Peripheral blood film.
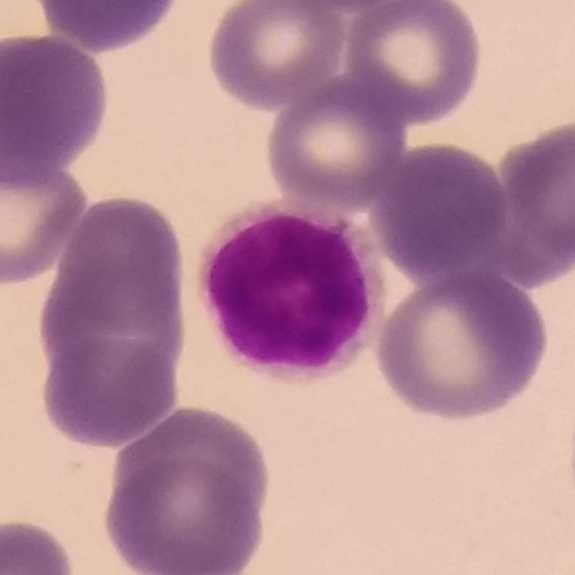Morphological class: lymphocyte.